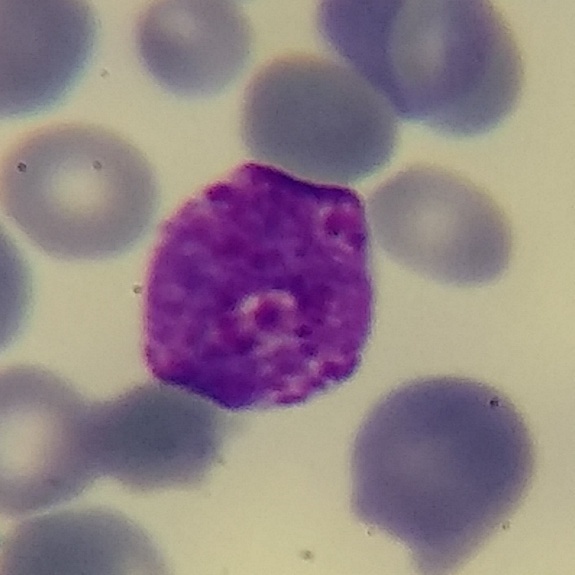

Q: What is the morphological classification of this cell?
A: Basophil.